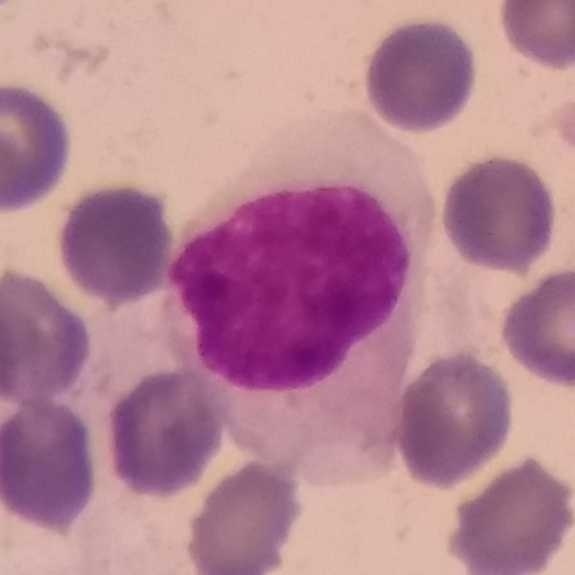
A monocyte.